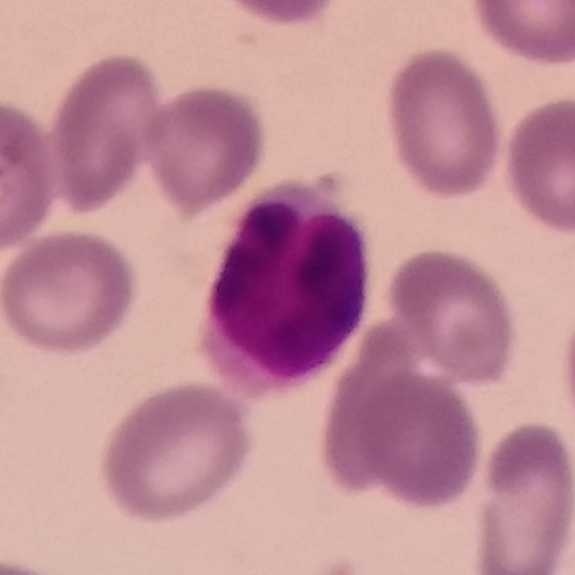

Image: Peripheral blood smear.

The cell shown is a lymphocyte.